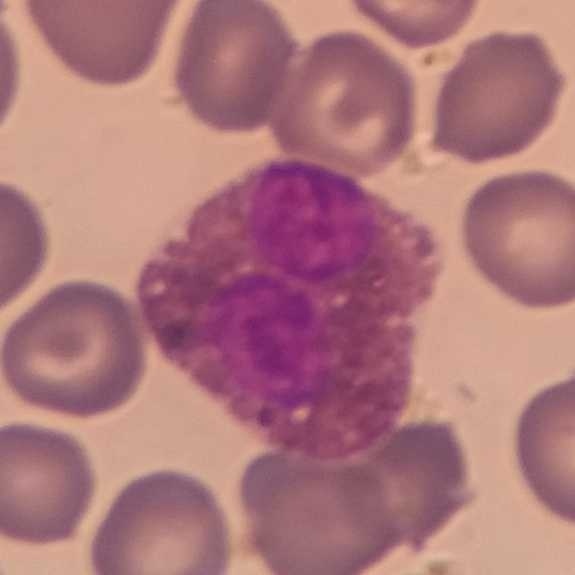Morphology consistent with an eosinophilic granulocyte.

Context: Peripheral blood film.